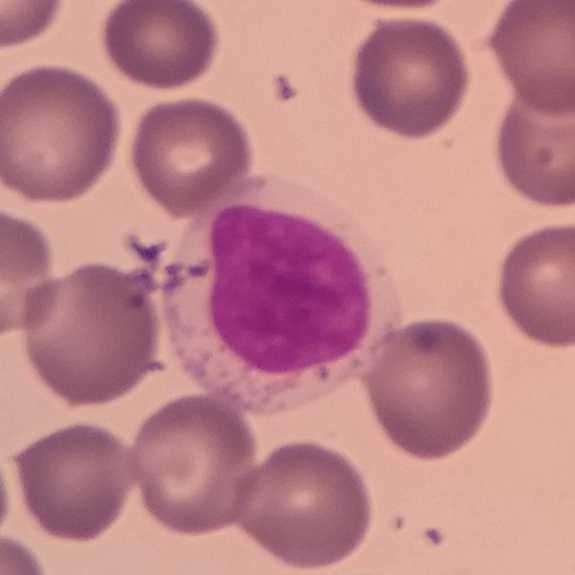

{"cell_type": "lymphocyte", "lineage": "lymphoid"}
Peripheral blood film.